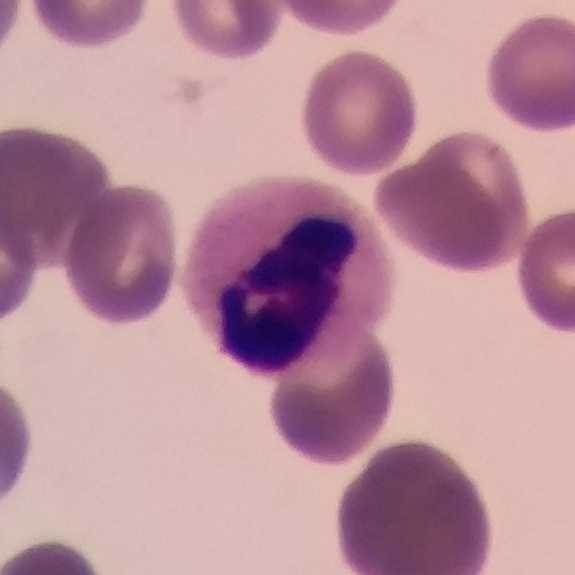

Peripheral blood film.
White blood cell type: neutrophilic granulocyte.